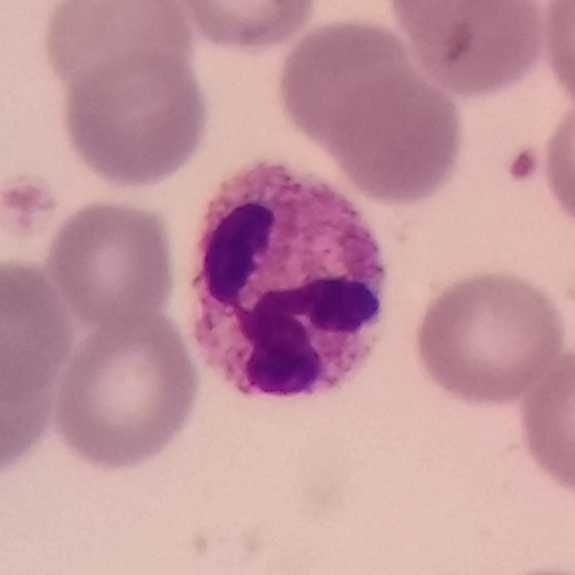

Single-cell crop from a peripheral blood smear: neutrophil.